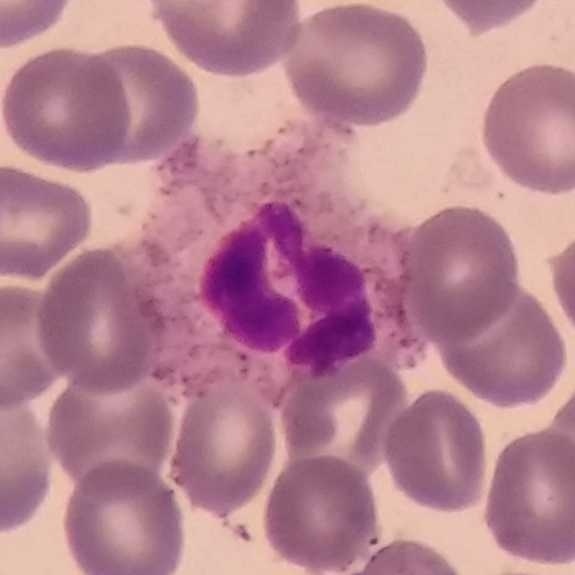
Impression — neutrophil granulocyte.
Acquisition: Peripheral blood smear.